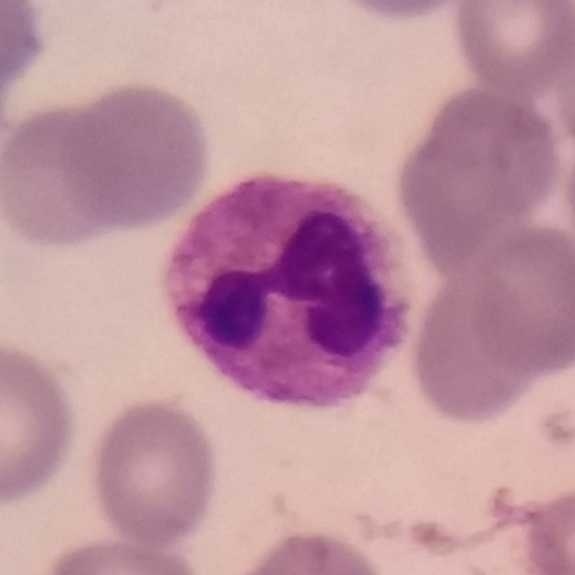Single cell identified as a neutrophil granulocyte.
Image: Peripheral blood film · Giemsa-stained.